Imaged at 100× · peripheral blood smear: 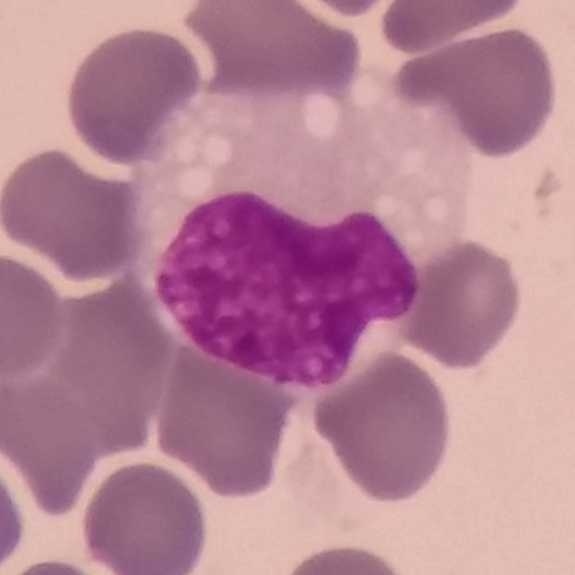
White blood cell type = monocyte.